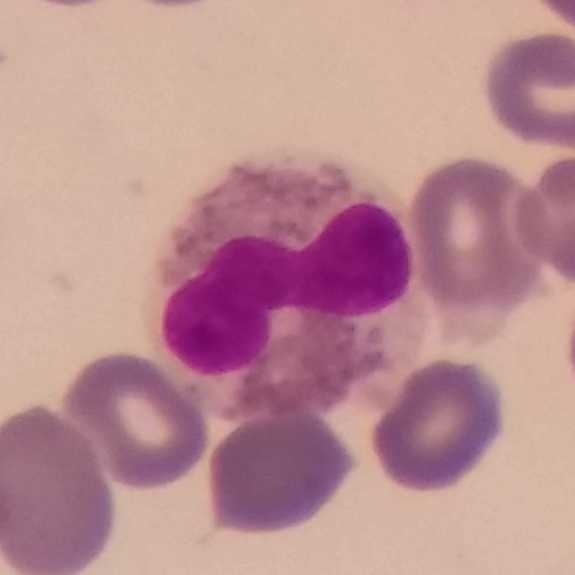

Context: 575 by 575 pixels · cropped to one leukocyte · peripheral blood film. Classification = eosinophilic granulocyte.